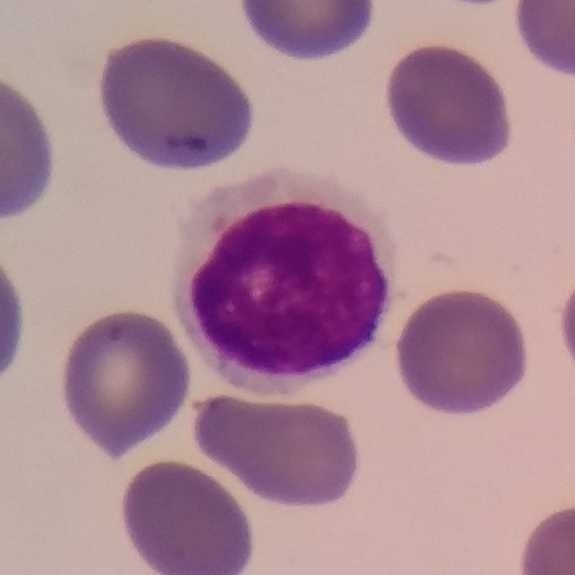
Q: Classify this leukocyte.
A: A lymphocyte.